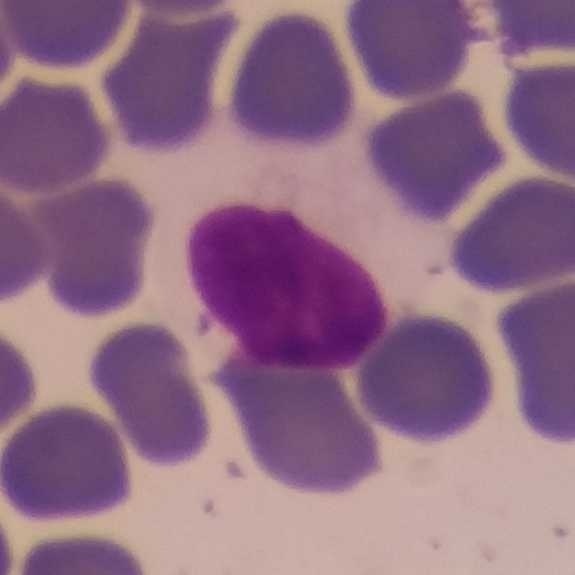Morphology — lymphocyte. Context: Peripheral blood smear · 100× magnification.